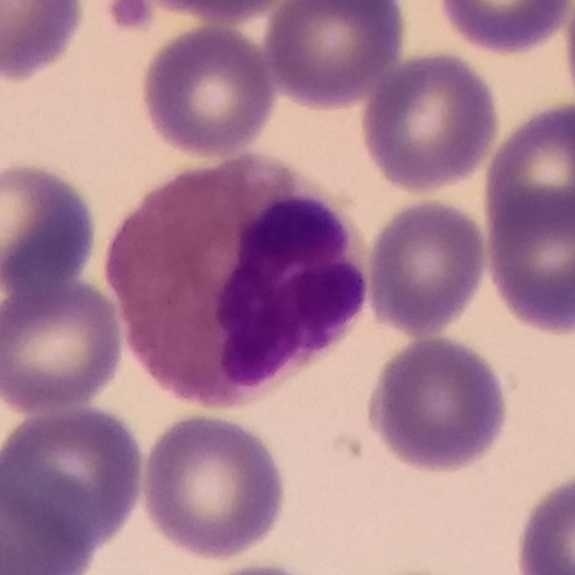Classification = eosinophil.